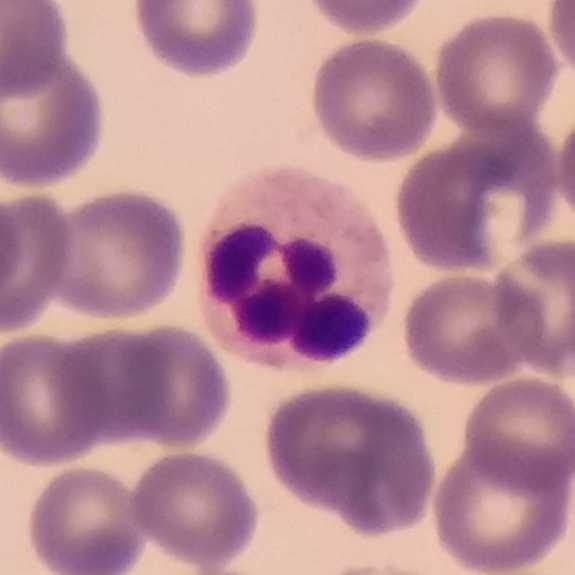

Identified as a neutrophil granulocyte.

Context: Peripheral blood smear. Image size 575×575.